Giemsa stain; peripheral blood film:
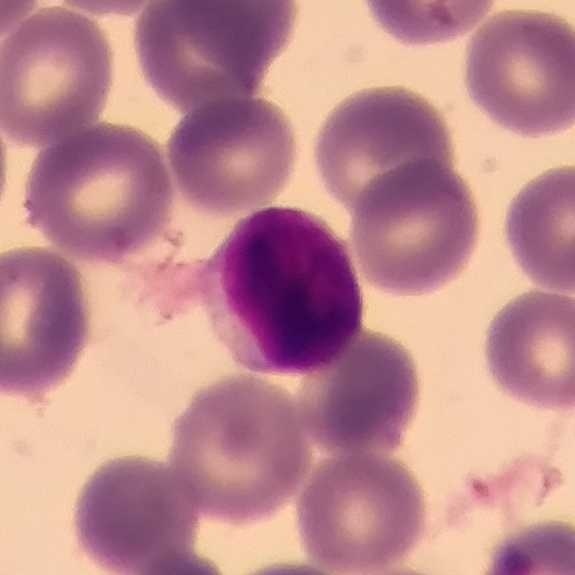 Q: What is the morphological classification of this cell?
A: It is a lymphocyte.